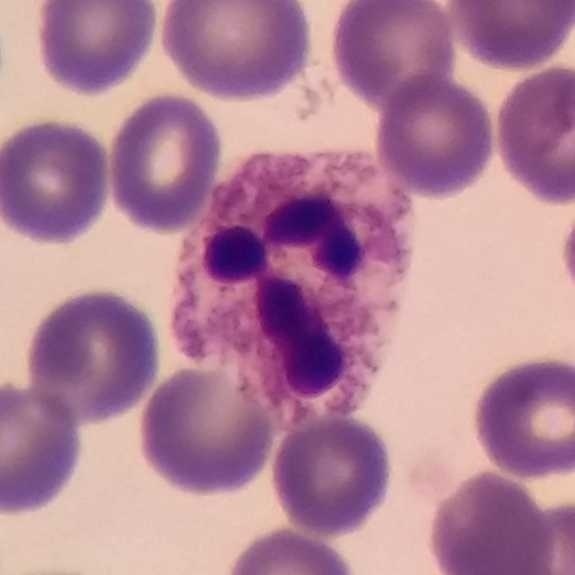

Preparation: Peripheral blood film.
Neutrophil.